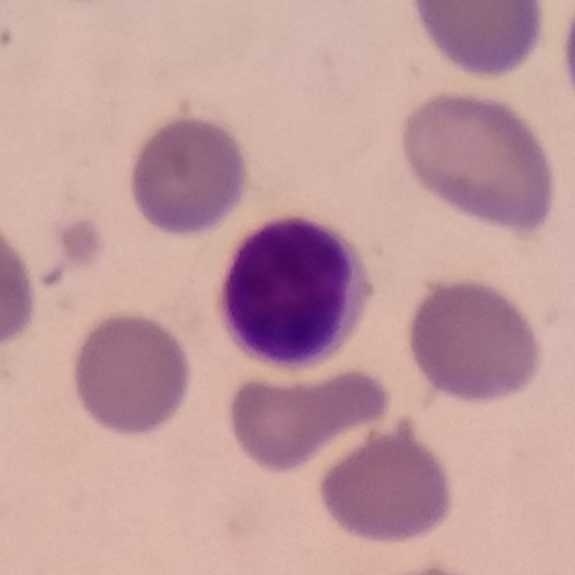

Q: What is this?
A: A lymphocyte.